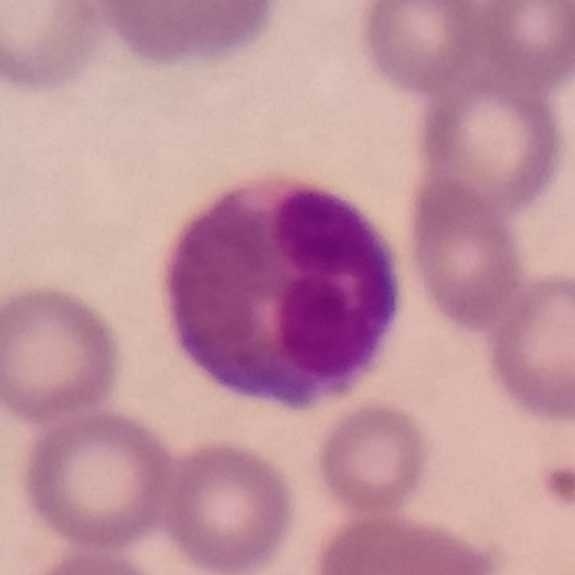Specimen: peripheral blood smear.
Cell: eosinophilic granulocyte.
Lineage: myeloid.

Acquisition: Imaged at 100×. Smartphone camera mounted on the microscope eyepiece.